575×575 · peripheral blood smear.
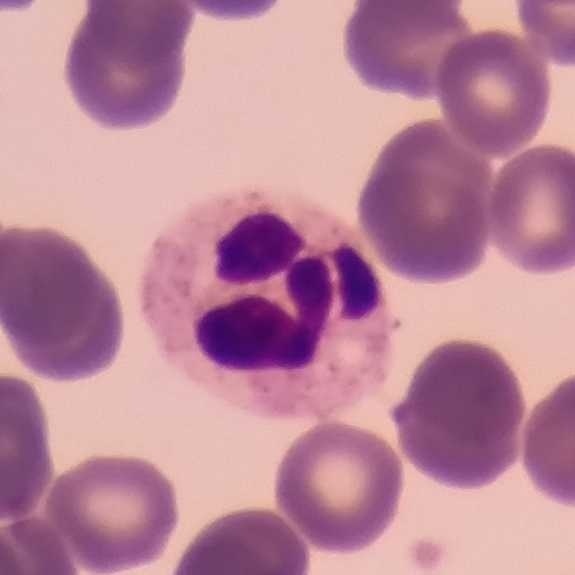

Q: Classify this leukocyte.
A: It is a neutrophil.